Peripheral blood smear — 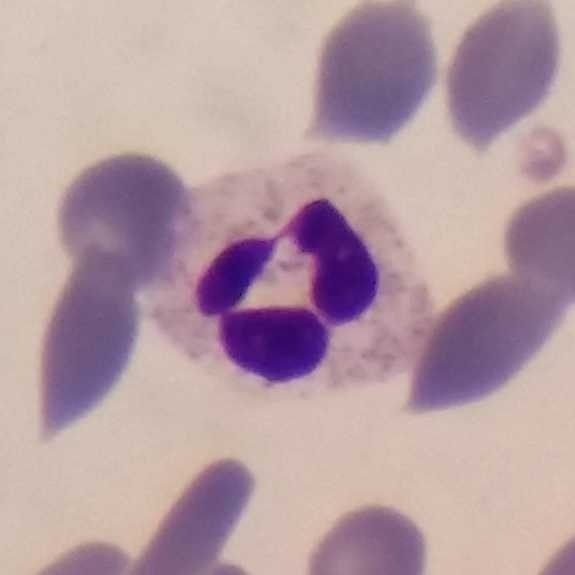{"cell_type": "neutrophil granulocyte", "lineage": "myeloid"}